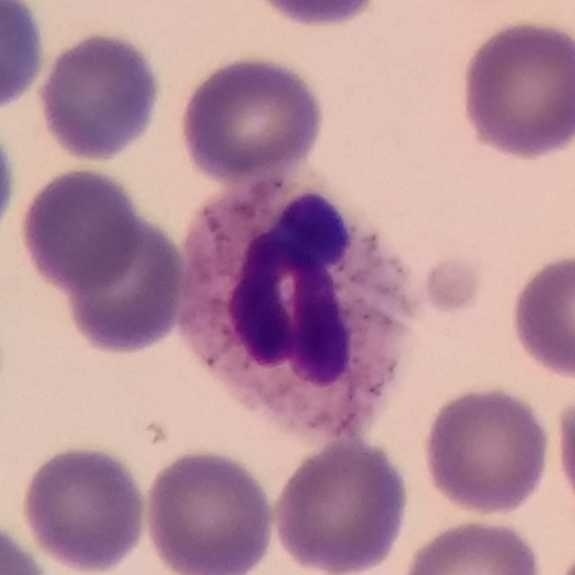

Classification: neutrophilic granulocyte.
Context: Giemsa-stained. Peripheral blood film. Smartphone photomicrograph.